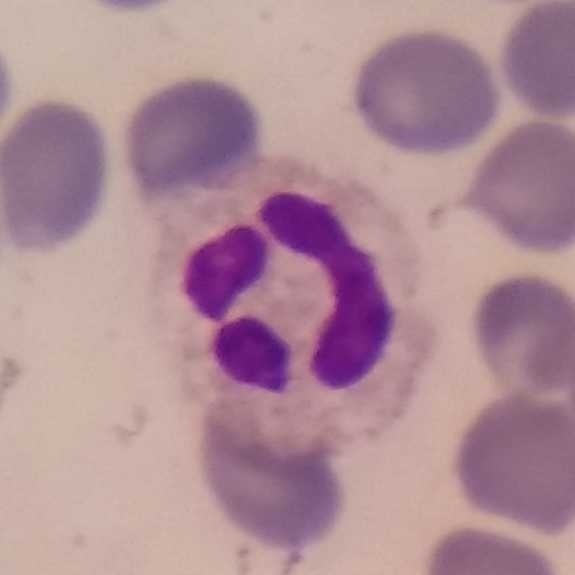Specimen: peripheral blood film.
Morphological class: neutrophil.
Lineage: myeloid.